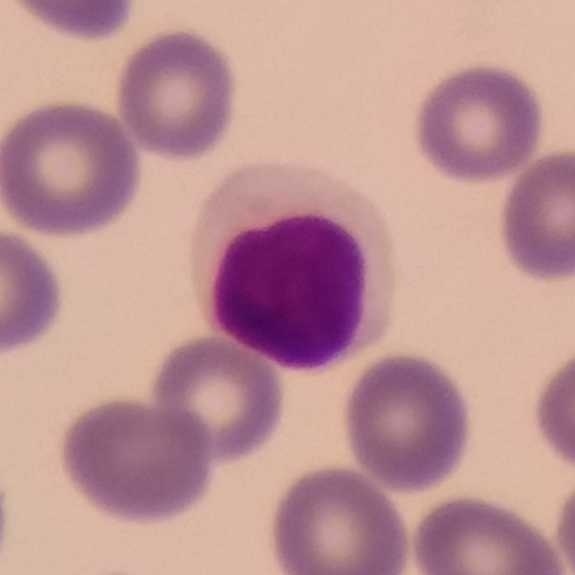

The white blood cell type is lymphocyte.